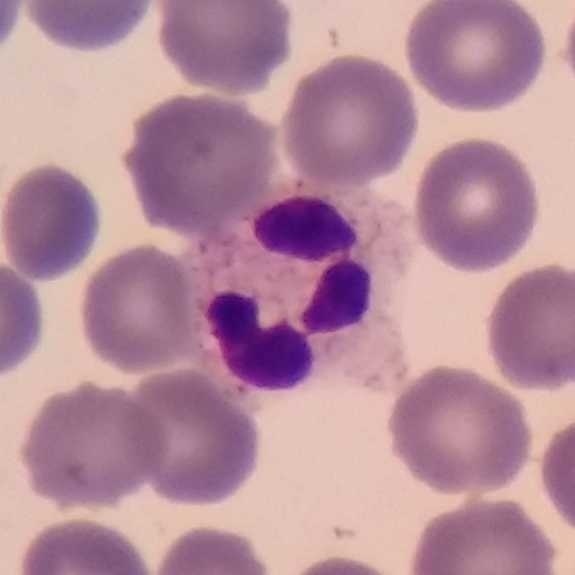

The white blood cell type is neutrophil granulocyte.

Imaged at 100×; peripheral blood film.